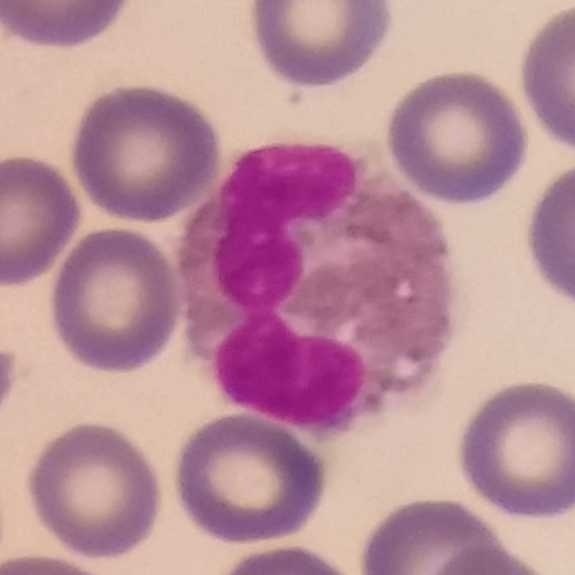 Q: Which type of white blood cell is this?
A: An eosinophilic granulocyte.